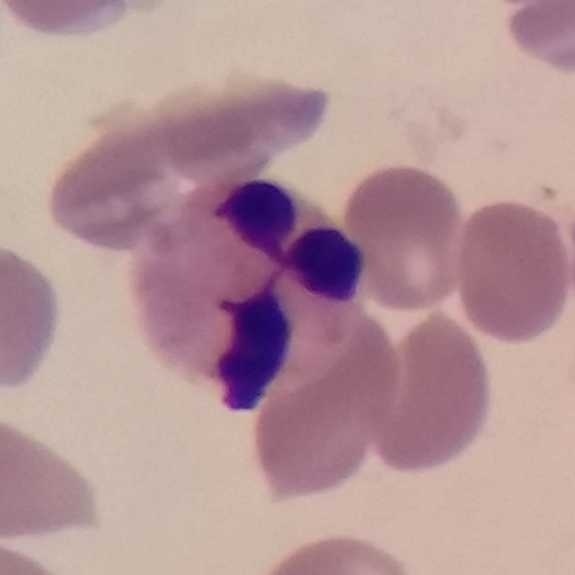

Peripheral blood film; 100× magnification; smartphone camera mounted on the microscope eyepiece.

A neutrophil granulocyte.